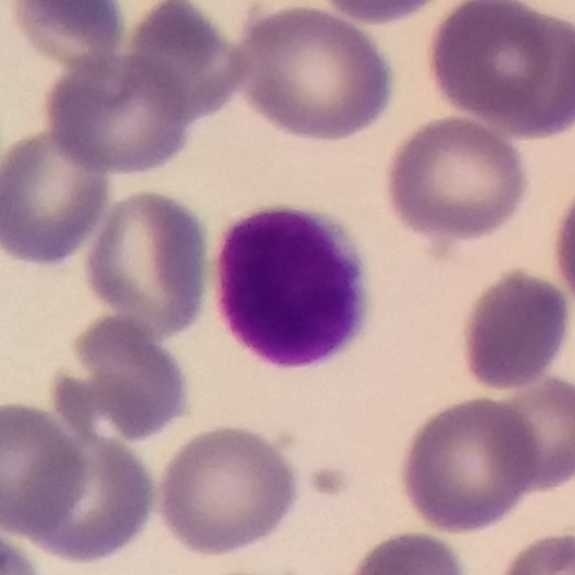Specimen: peripheral blood smear.
Cell: lymphocyte.